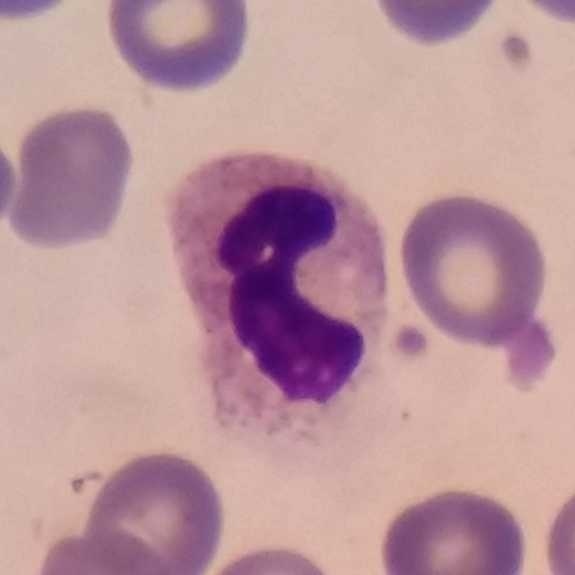Q: What is this?
A: Neutrophilic granulocyte.